Peripheral blood film. Smartphone photomicrograph
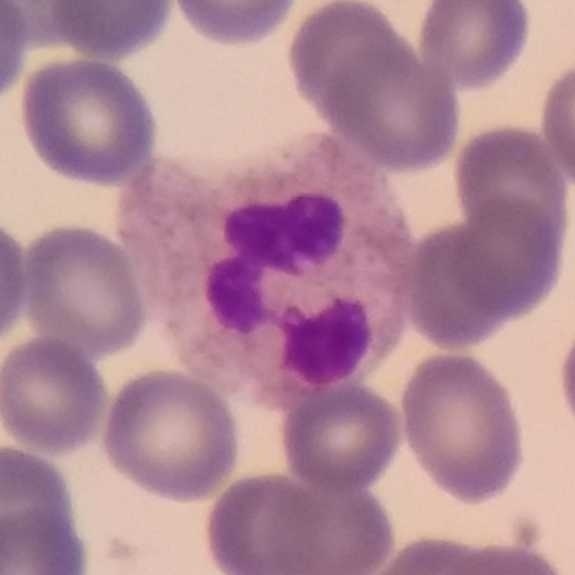Morphological class: neutrophil granulocyte.